Peripheral blood film:
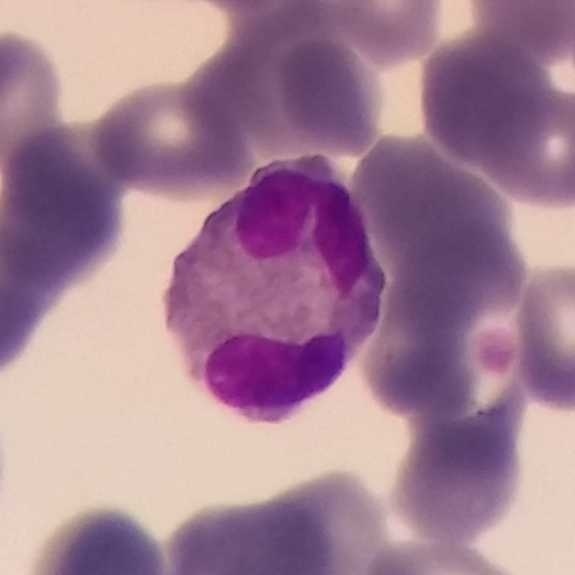 Impression — eosinophilic granulocyte.